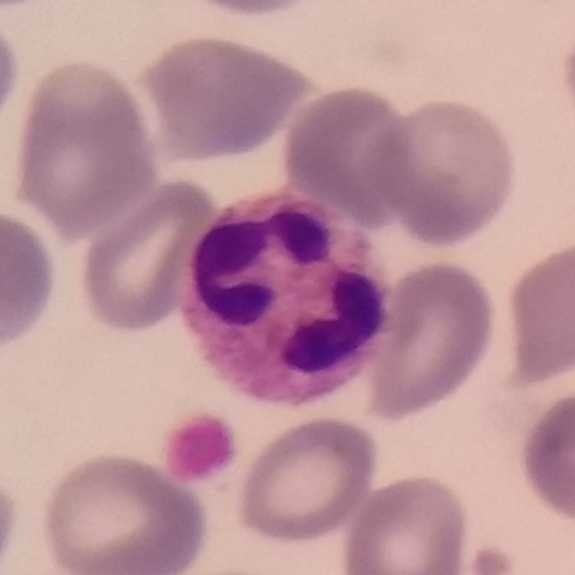
Morphology consistent with a neutrophil granulocyte.

Peripheral blood film; phone-camera image taken through the microscope ocular.